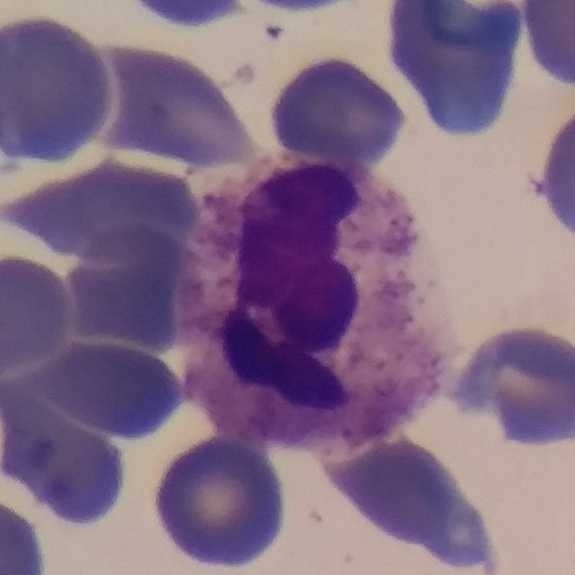
Q: Which cell type is shown here?
A: A neutrophil granulocyte.